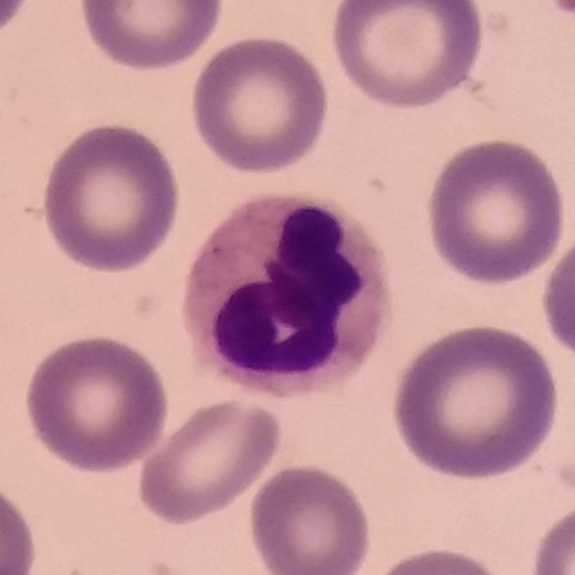 Neutrophil.
Acquisition: Peripheral blood film.